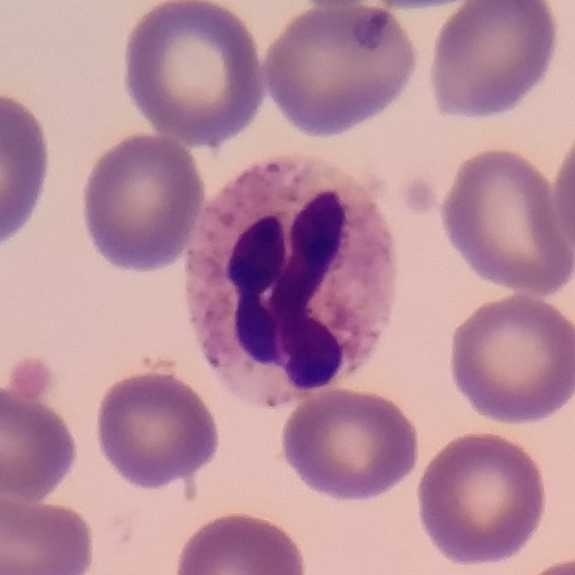

Cell type = neutrophilic granulocyte.